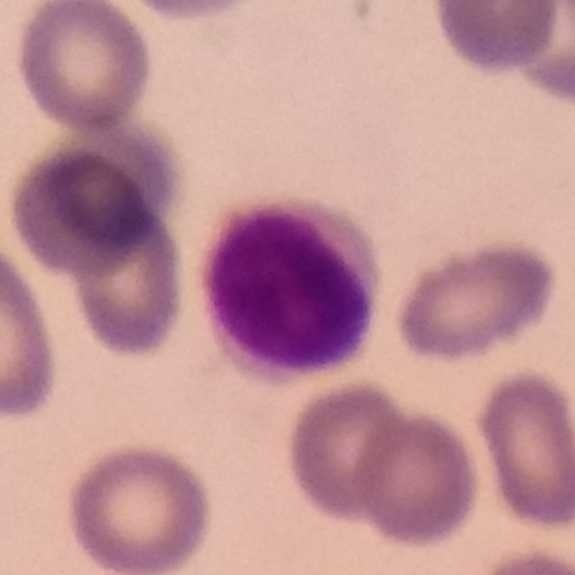
Preparation: Stained with Giemsa; peripheral blood film.

Q: Classify this leukocyte.
A: Lymphocyte.